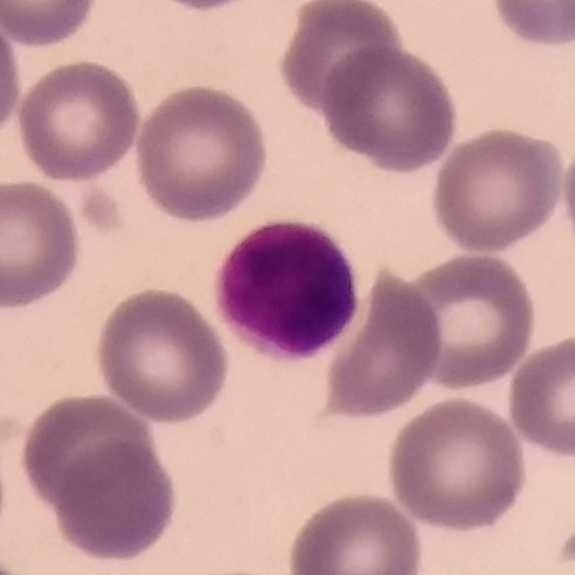

Q: Classify this leukocyte.
A: Lymphocyte.
Peripheral blood smear.